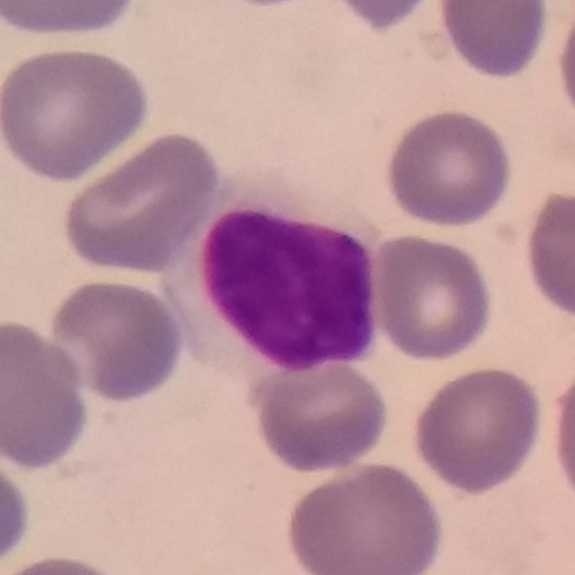

Cell = lymphocyte.
Context: Giemsa stain. Cropped to one leukocyte. Peripheral blood film.